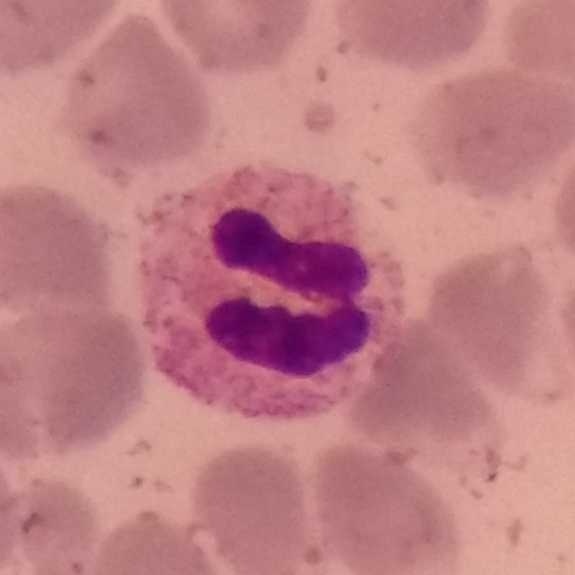
Preparation: Peripheral blood film.

The white blood cell in this image is a neutrophil.